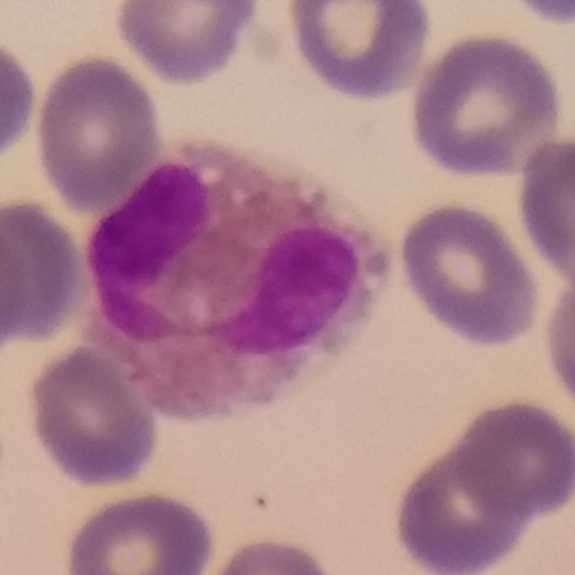
Morphology consistent with an eosinophil. Acquisition: Smartphone photomicrograph; peripheral blood film.